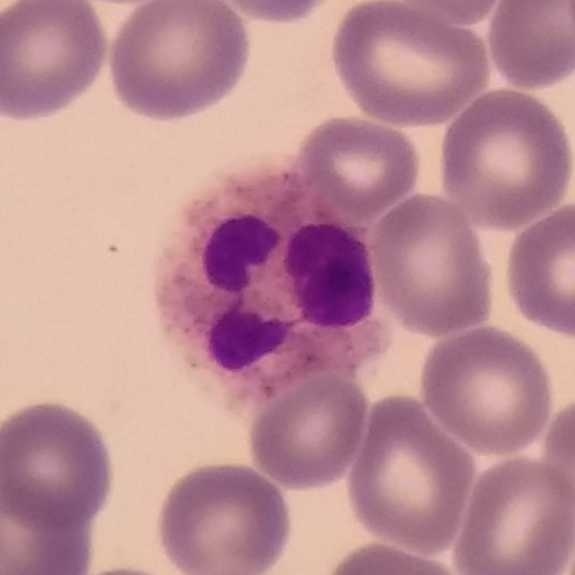
Q: Classify this leukocyte.
A: This is a neutrophil granulocyte.

Giemsa-stained; peripheral blood smear; 575×575 px.